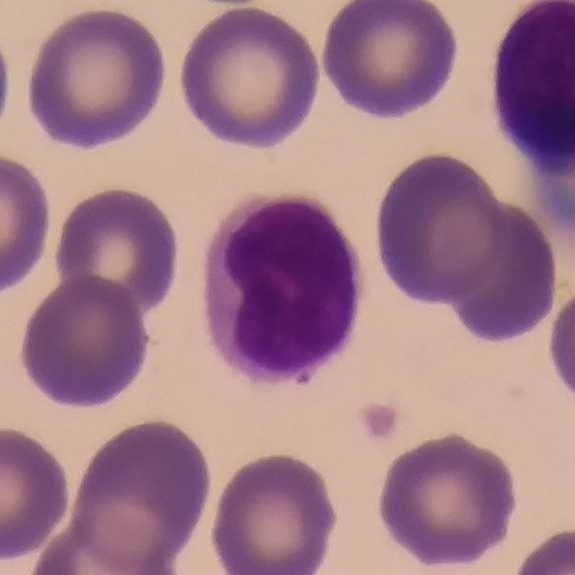
This is a lymphocyte.

Acquisition: Cropped to one leukocyte · peripheral blood smear.